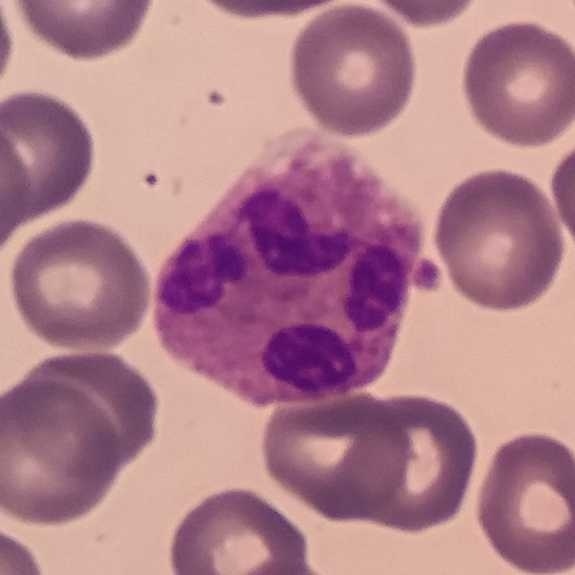
Acquisition: Peripheral blood smear. Cell — neutrophil granulocyte.